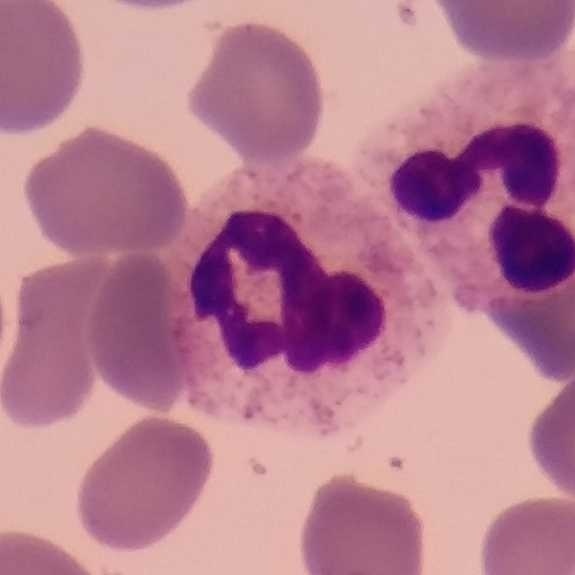

Context: Peripheral blood smear.

Q: What is the morphological classification of this cell?
A: It is a neutrophil.